Peripheral blood smear. Giemsa-stained. Imaged at 100×.
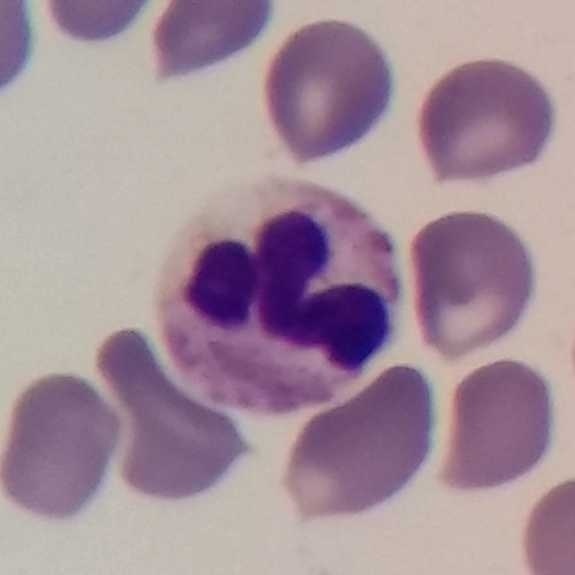Impression — neutrophilic granulocyte.